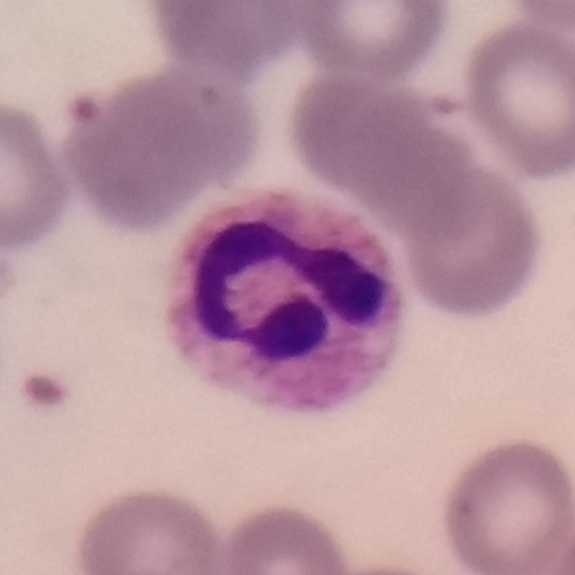 Peripheral blood smear.
A neutrophil.